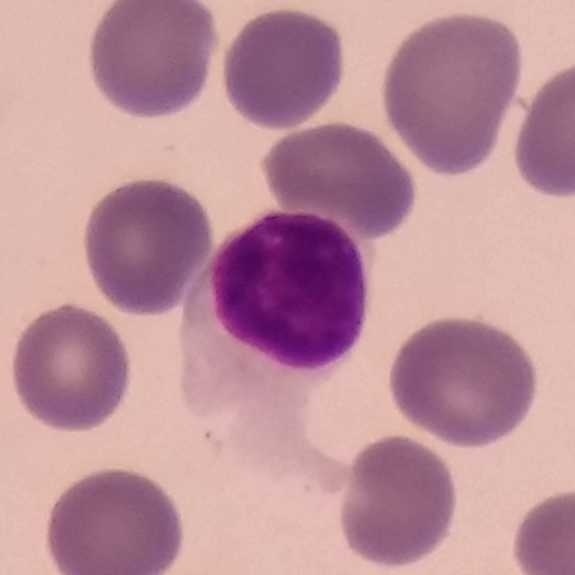
A lymphocyte.